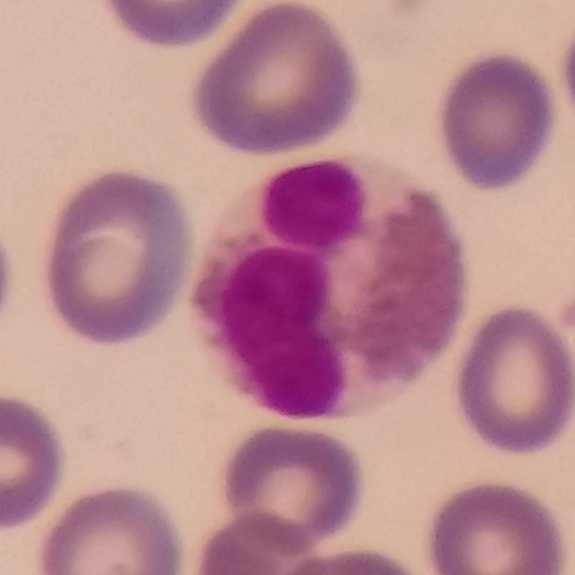

Acquisition: Peripheral blood smear. Morphology → eosinophilic granulocyte.